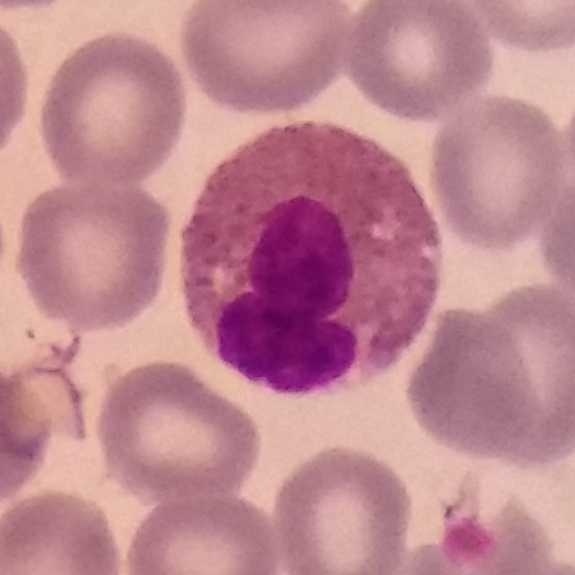
Context: Peripheral blood film. Morphology — eosinophilic granulocyte.